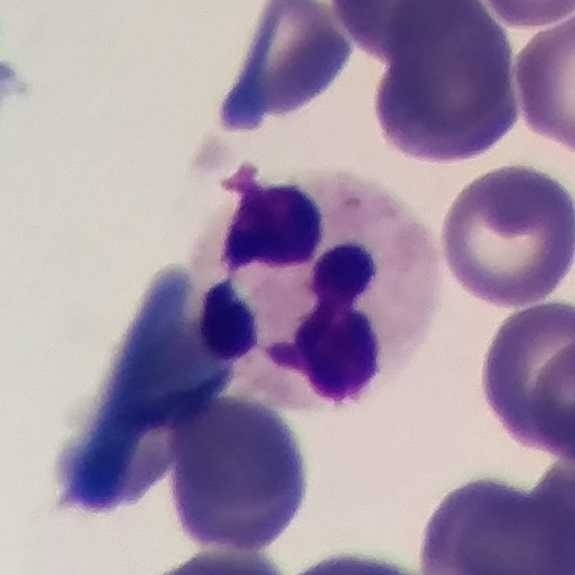
Image: 575×575 px · peripheral blood smear. The white blood cell in this image is a neutrophil.